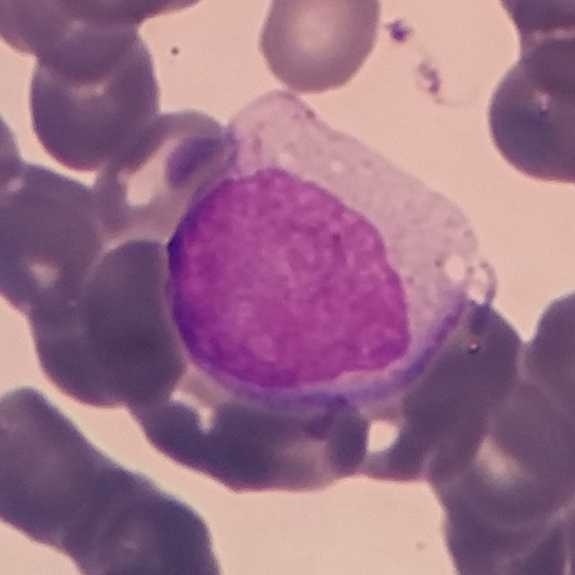 This is a monocyte.